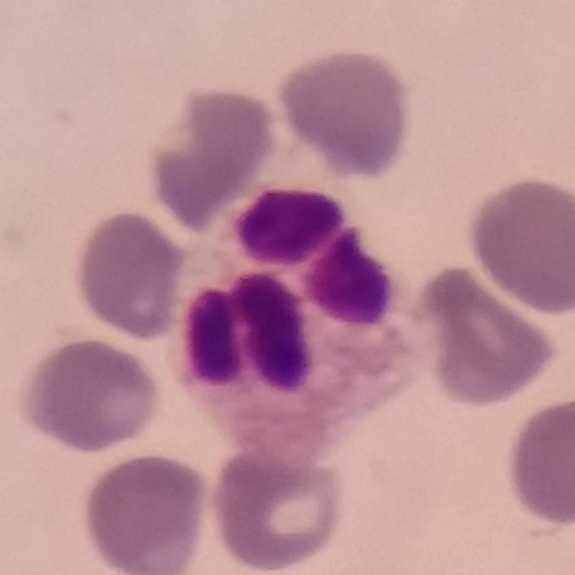From a peripheral blood smear: a neutrophil granulocyte.